Giemsa stain. Peripheral blood smear.
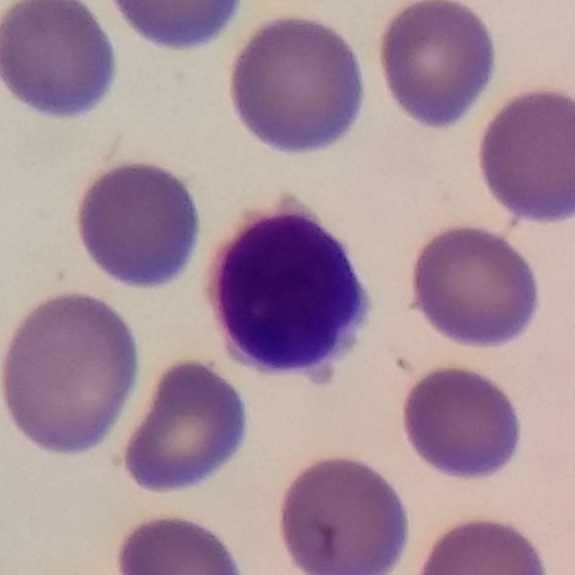
The morphological class is lymphocyte.